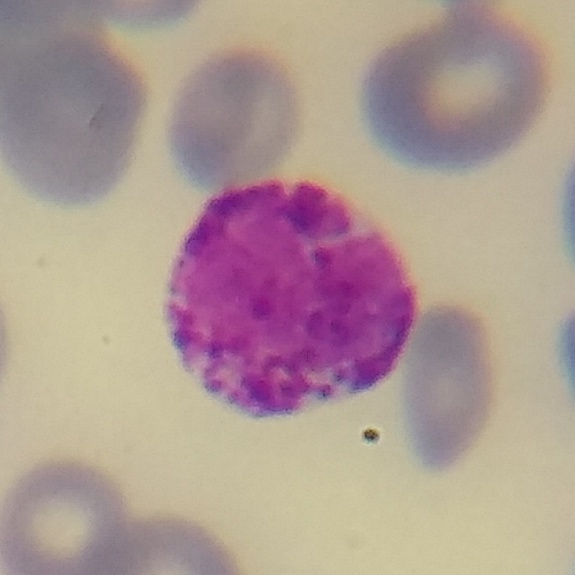Peripheral blood smear. Morphology consistent with a basophil.